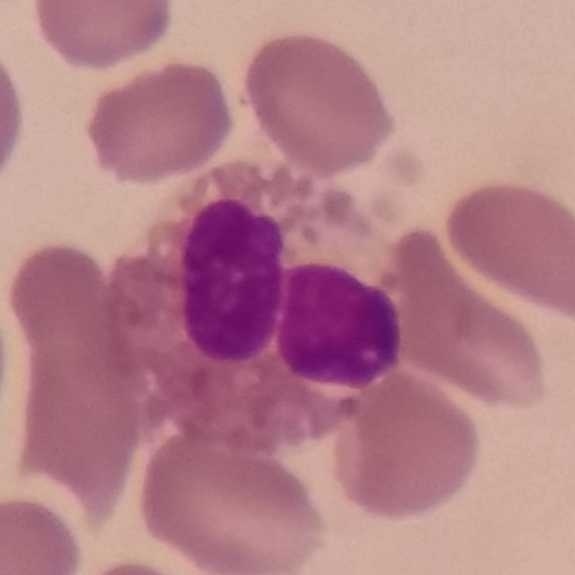 Context: Peripheral blood smear. Impression → eosinophilic granulocyte.